Peripheral blood smear · Giemsa stain:
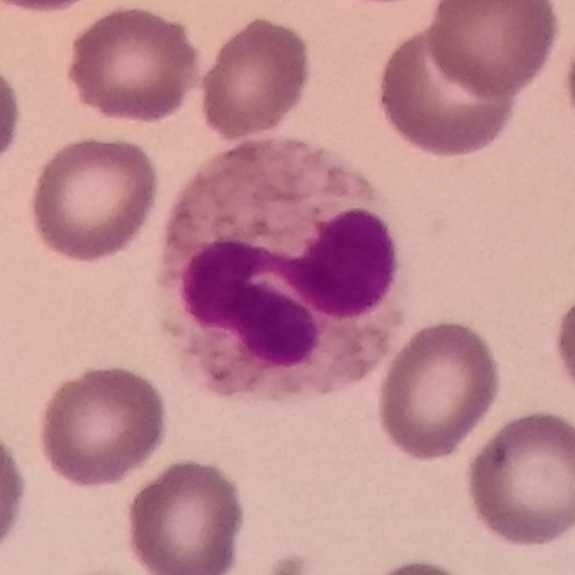 Single cell identified as a neutrophil granulocyte.